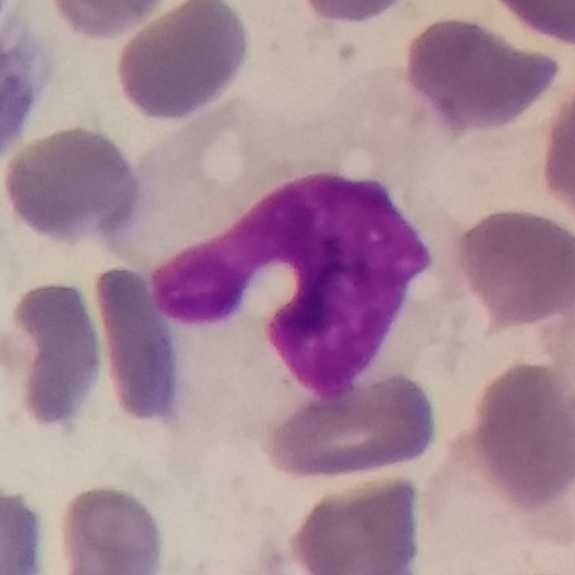
Q: Classify this leukocyte.
A: This is a monocyte.
Smartphone camera mounted on the microscope eyepiece · peripheral blood smear.